Magnification 100×. 575×575. Peripheral blood film
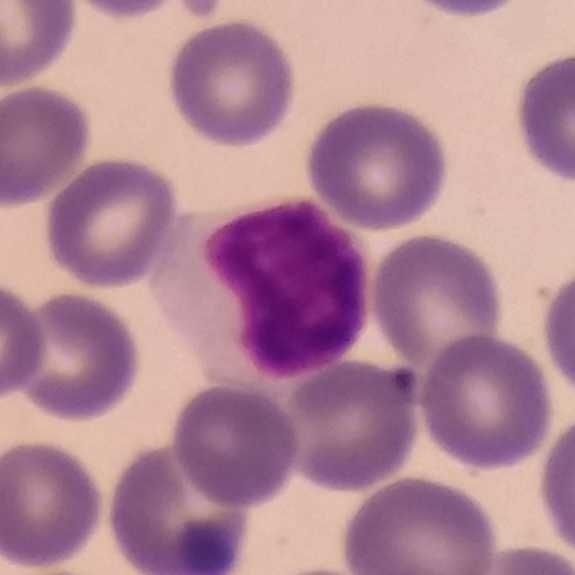Showing a lymphocyte.